Giemsa stain · peripheral blood smear:
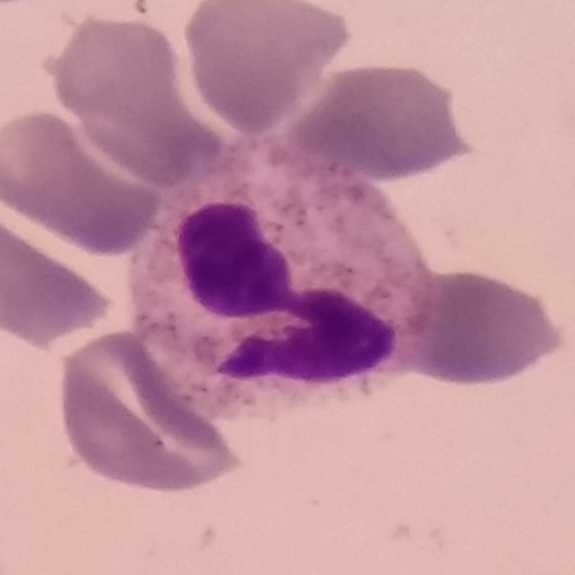
Q: What is the morphological classification of this cell?
A: This is a neutrophilic granulocyte.